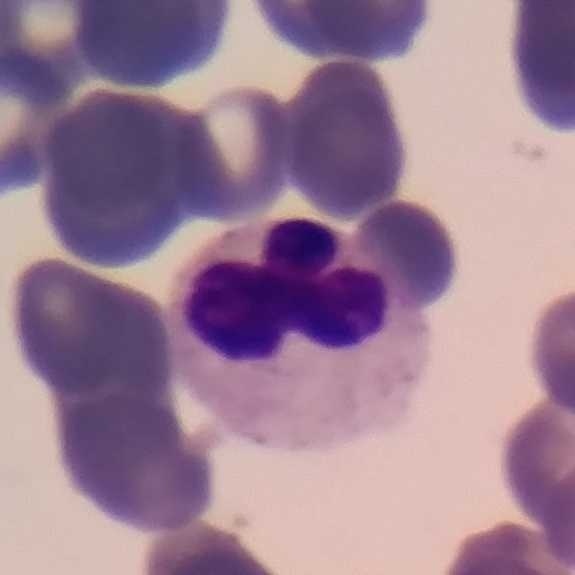

Identified as a neutrophil.